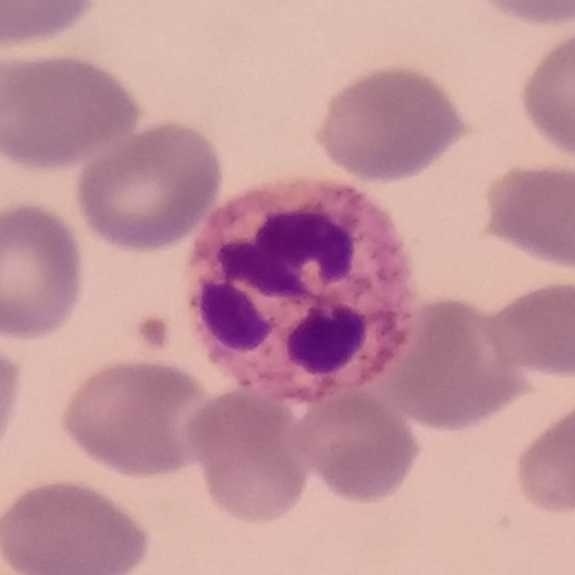 Specimen: peripheral blood film.
Cell: neutrophil.
Lineage: myeloid.